Peripheral blood smear:
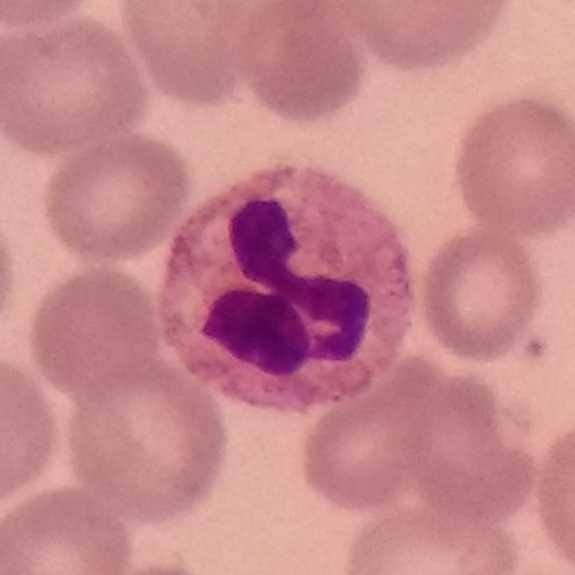
{"cell_type": "neutrophilic granulocyte", "lineage": "myeloid"}